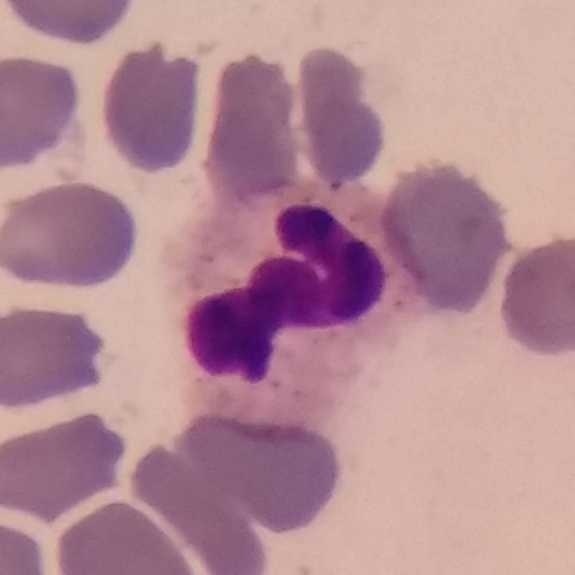 Q: Which cell type is shown here?
A: It is a neutrophil.